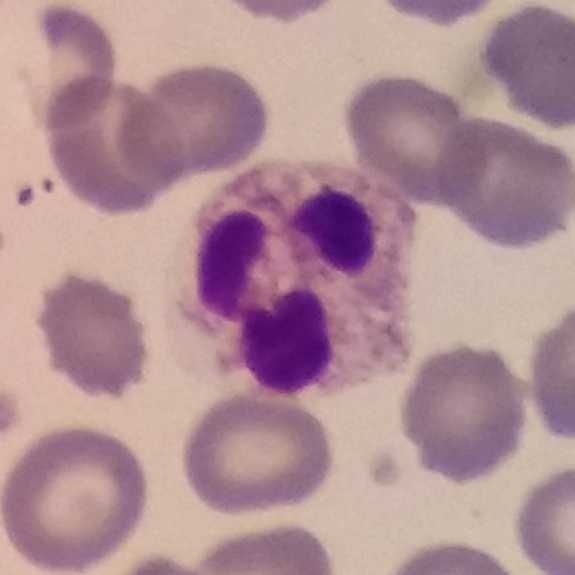
Context: Peripheral blood smear · 575×575 px · single-cell field.
This is a neutrophilic granulocyte.